Single-cell field. Peripheral blood film.
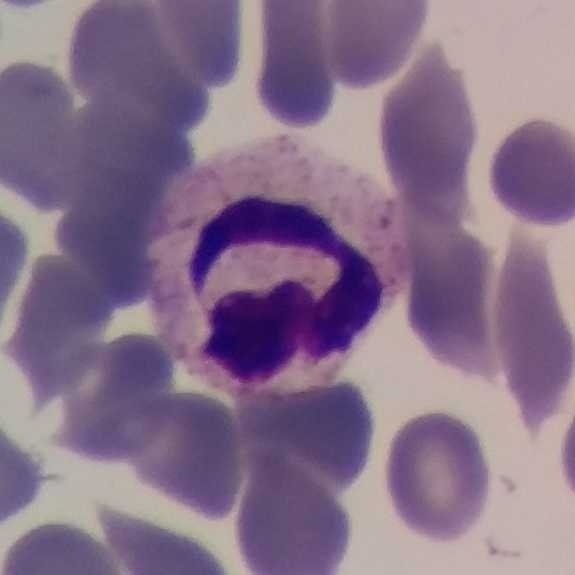
The white blood cell in this image is a neutrophilic granulocyte.